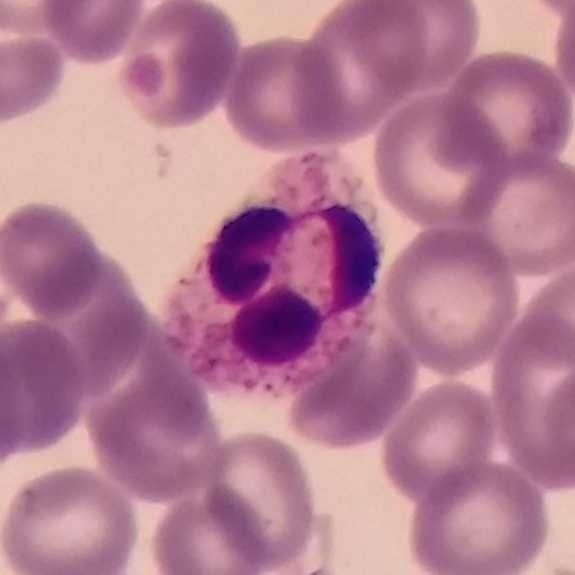 A neutrophil granulocyte. Image size 575×575; Giemsa-stained; peripheral blood film.